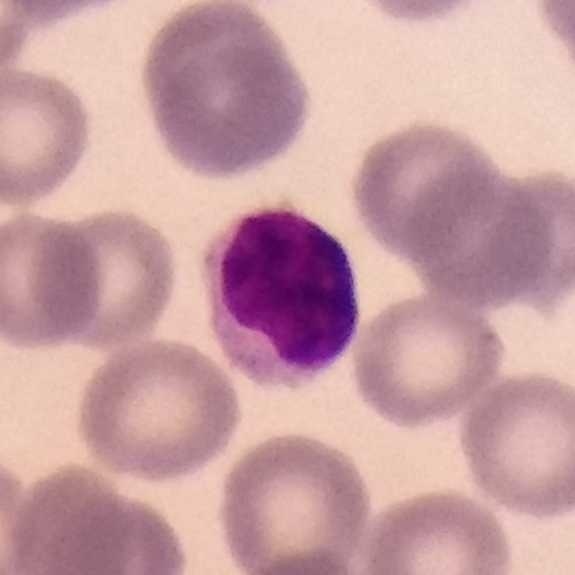 The white blood cell in this image is a lymphocyte.